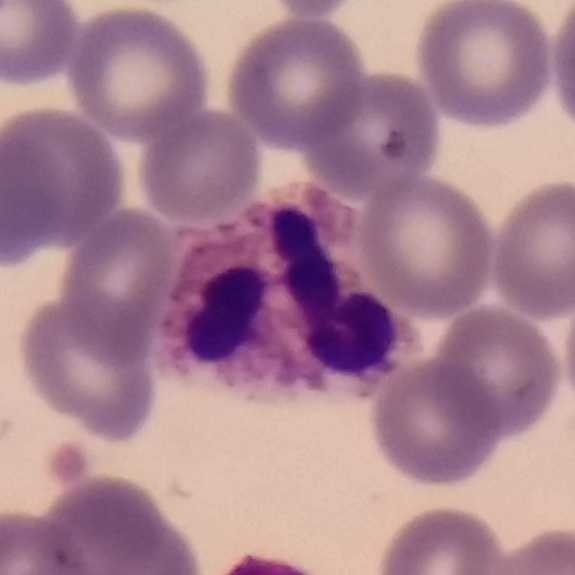 Cell type — neutrophil granulocyte.
Giemsa-stained · 575×575 px · peripheral blood smear.